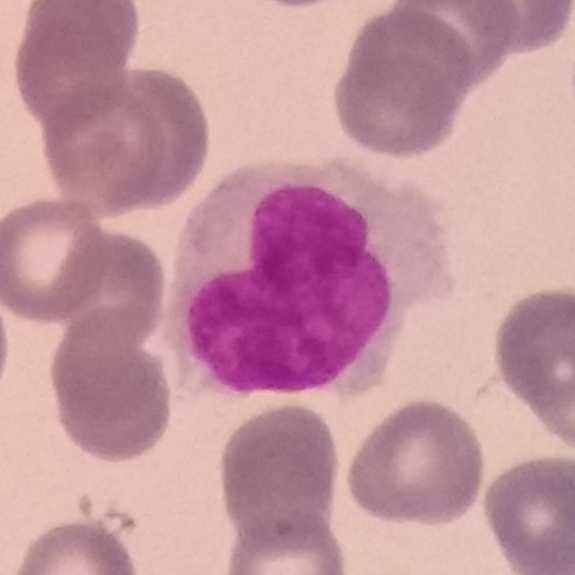Image: Peripheral blood smear.

Morphology consistent with a monocyte.